Stained with Giemsa · peripheral blood film · imaged at 100×: 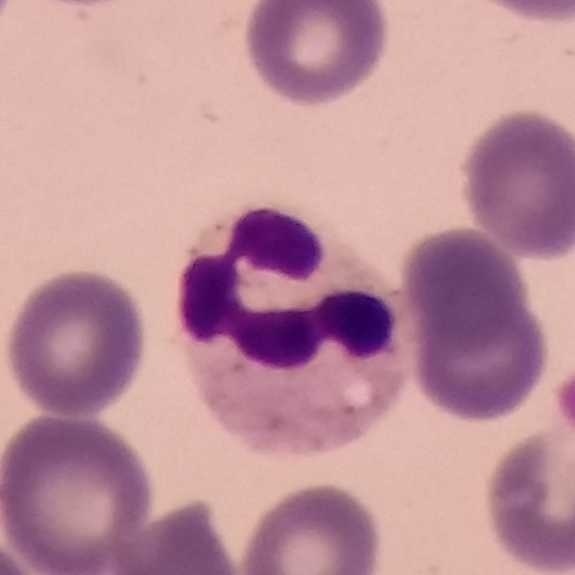

Cell = neutrophil granulocyte.